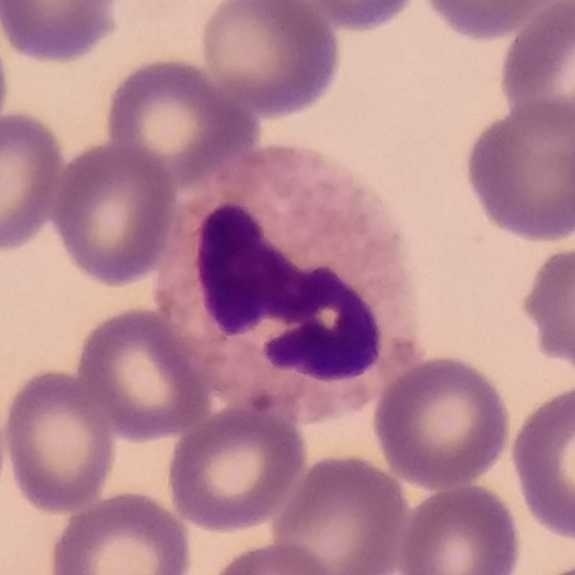
The cell shown is a neutrophil granulocyte.